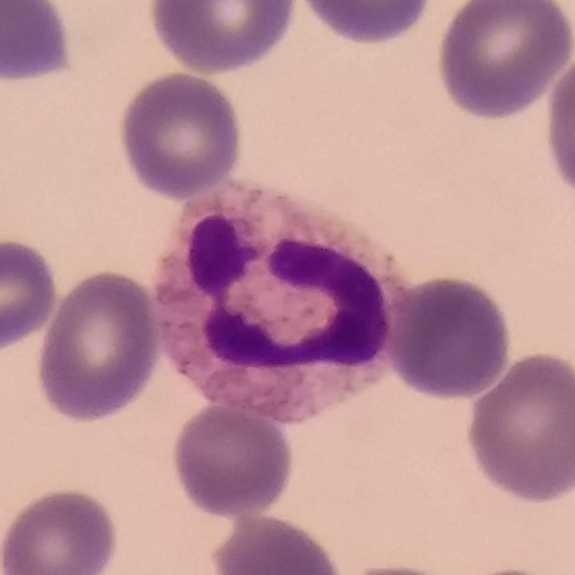
Peripheral blood smear. The white blood cell in this image is a neutrophil granulocyte.